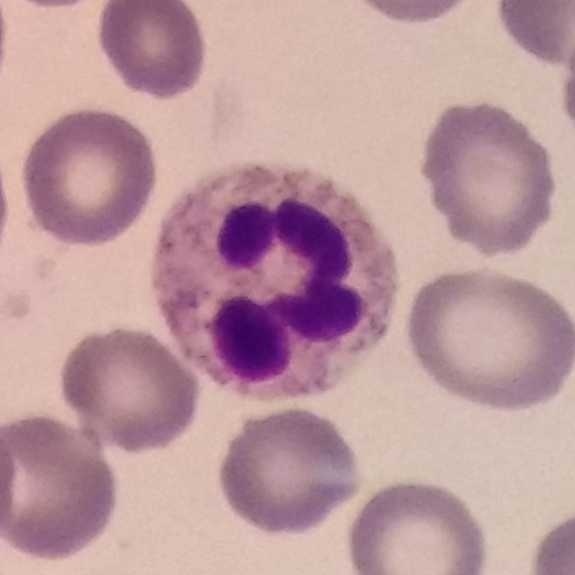 Q: Which cell type is shown here?
A: A neutrophil. Acquisition: Peripheral blood film · imaged at 100×.